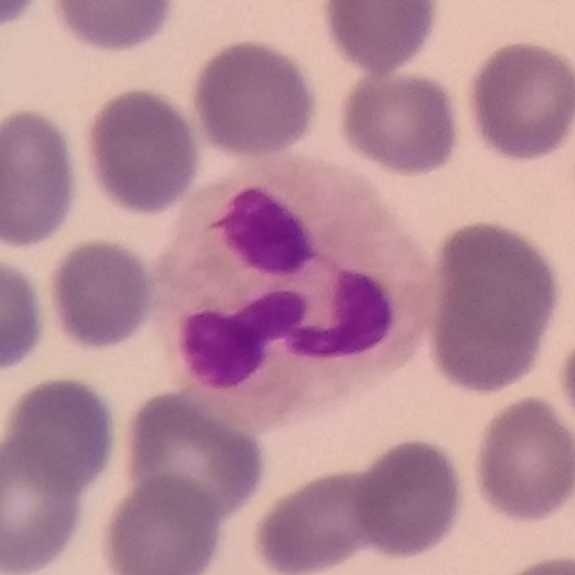Neutrophilic granulocyte.